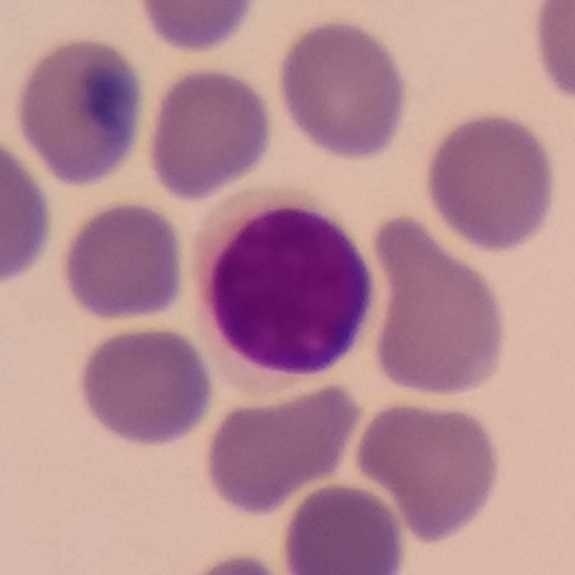

Acquisition: Single-cell field.

Specimen: peripheral blood film.
Cell: lymphocyte.
Lineage: lymphoid.